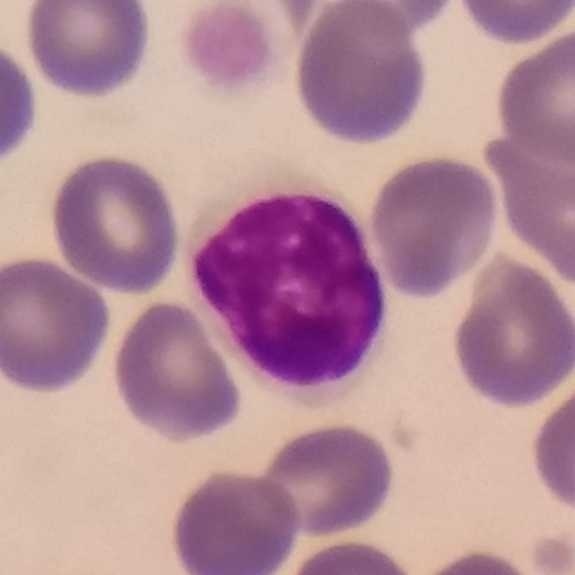

The cell shown is a lymphocyte. Image: Peripheral blood smear.